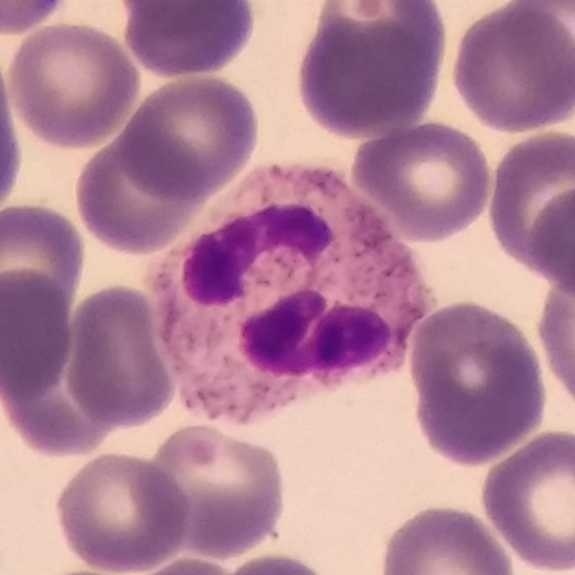Preparation: Peripheral blood smear.

The white blood cell type is neutrophilic granulocyte.